Peripheral blood smear.
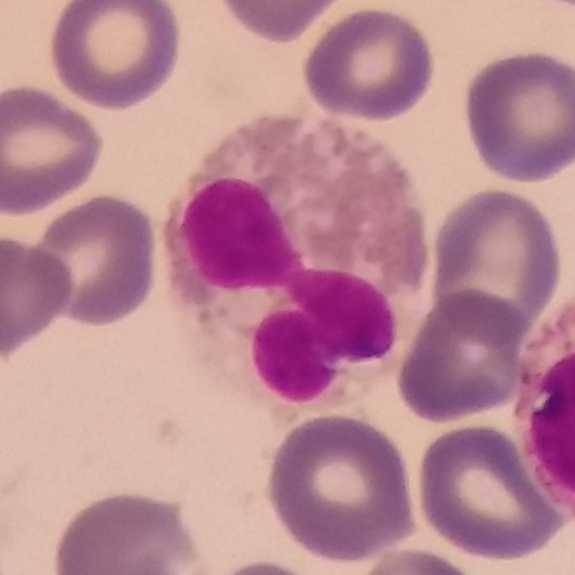
{"cell_type": "eosinophilic granulocyte"}